Peripheral blood smear. Single-cell crop: 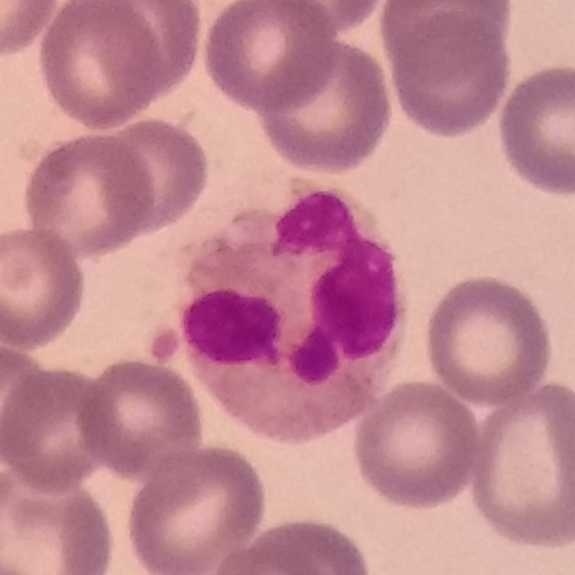

Showing a neutrophilic granulocyte.